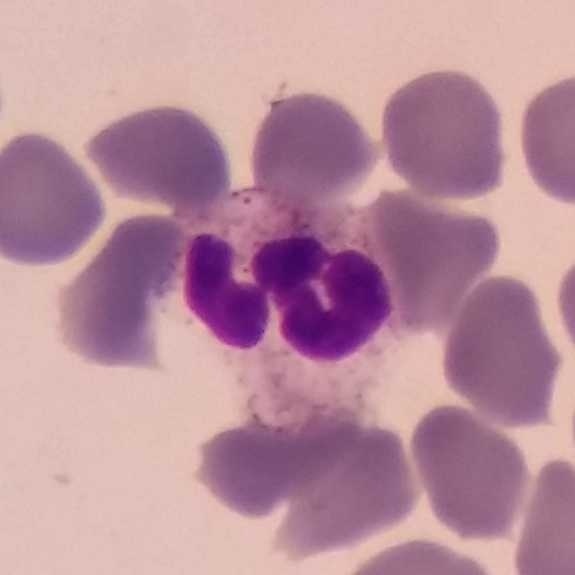 Specimen: peripheral blood film.
Morphological class: neutrophil.

Stained with Giemsa.